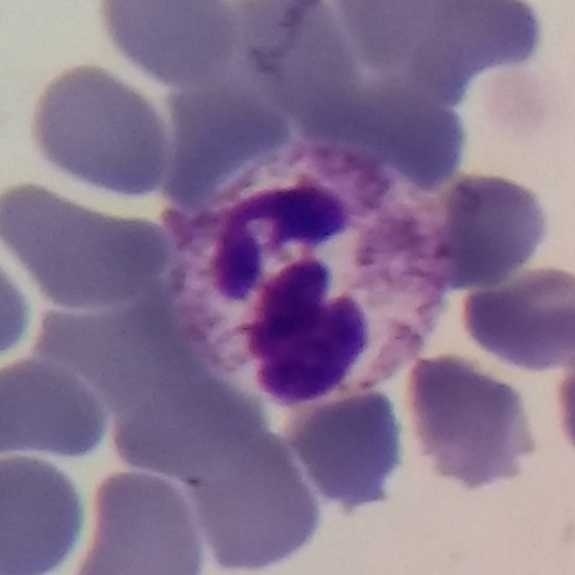
White blood cell type = neutrophil. Peripheral blood film. Single white blood cell cropped from the smear photograph.